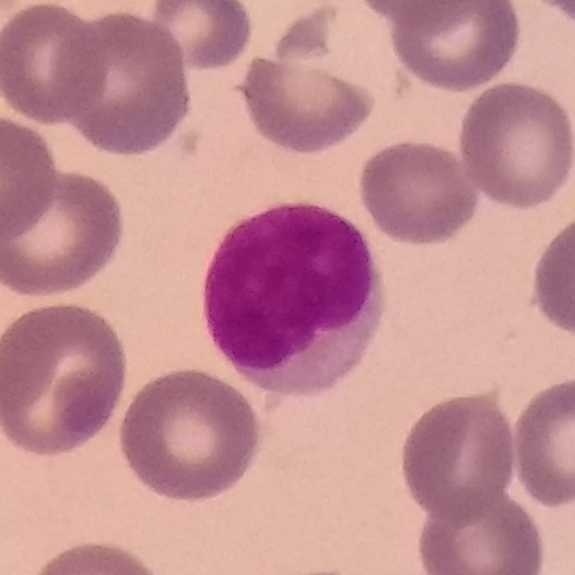
The classification is lymphocyte. Peripheral blood film · stained with Giemsa.